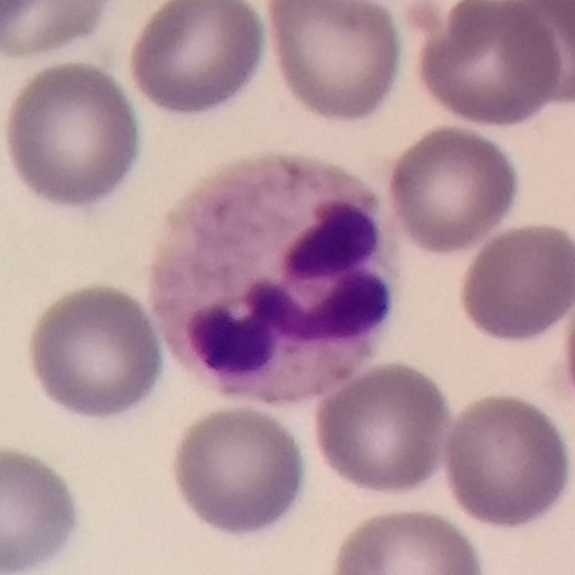
Impression → neutrophil granulocyte. Context: Magnification 100×. Peripheral blood smear. Smartphone photomicrograph.